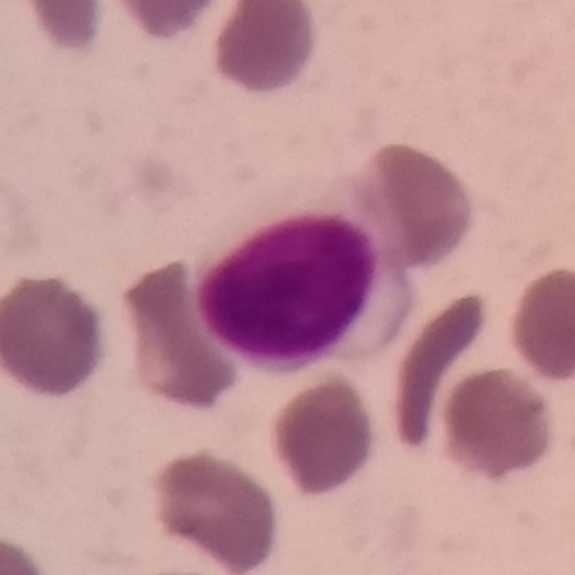
The white blood cell type is lymphocyte.